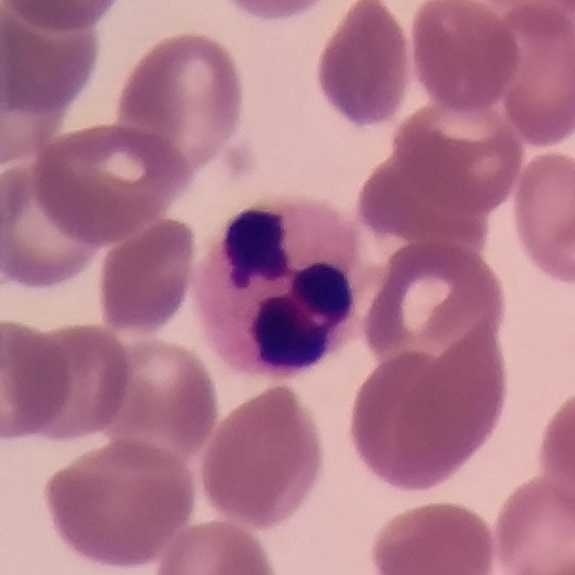 White blood cell type: neutrophil. Image: Peripheral blood smear.